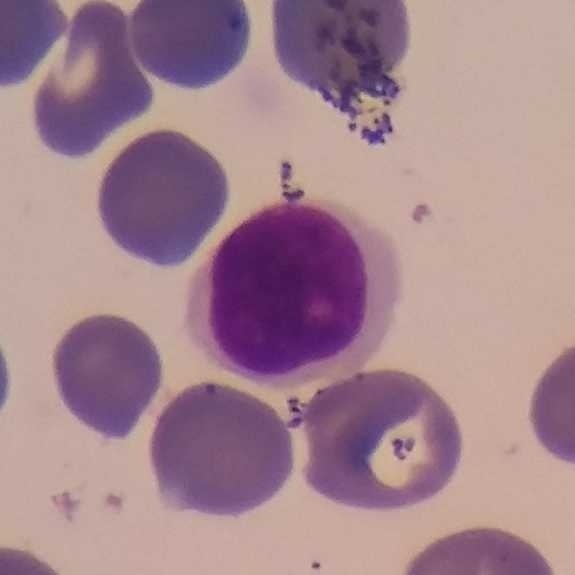 A lymphocyte.